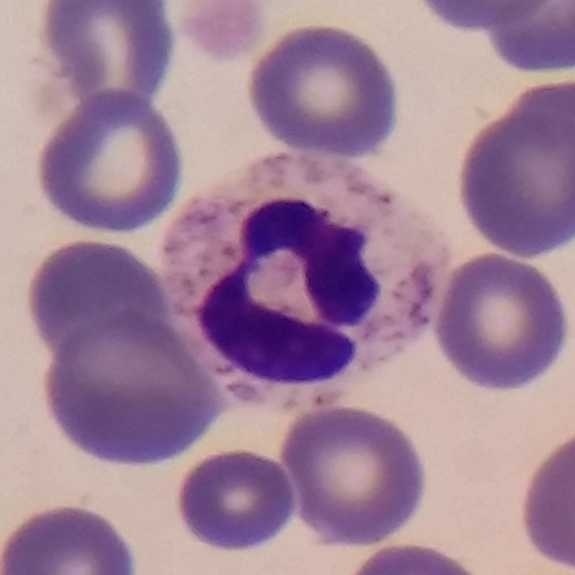Specimen: peripheral blood film.
White blood cell type: neutrophilic granulocyte.